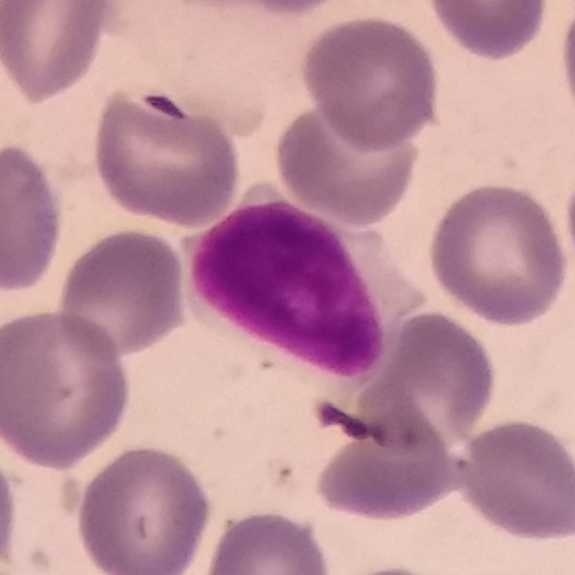 Context: Photographed through a light microscope with a smartphone camera · peripheral blood smear · Giemsa-stained. Morphology — lymphocyte.